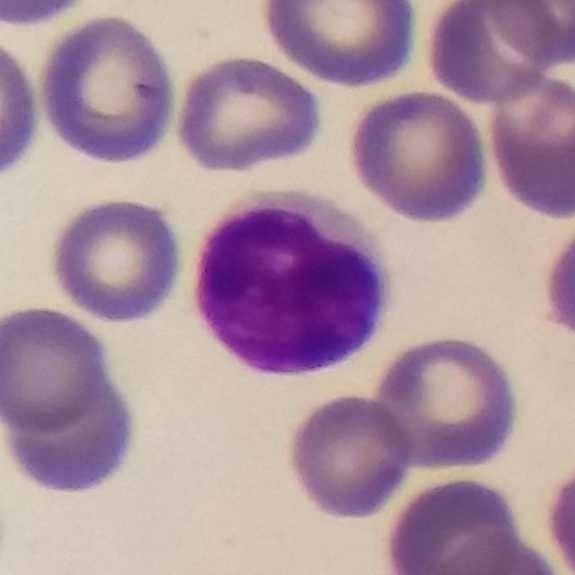Context: Peripheral blood smear.

Impression → lymphocyte.